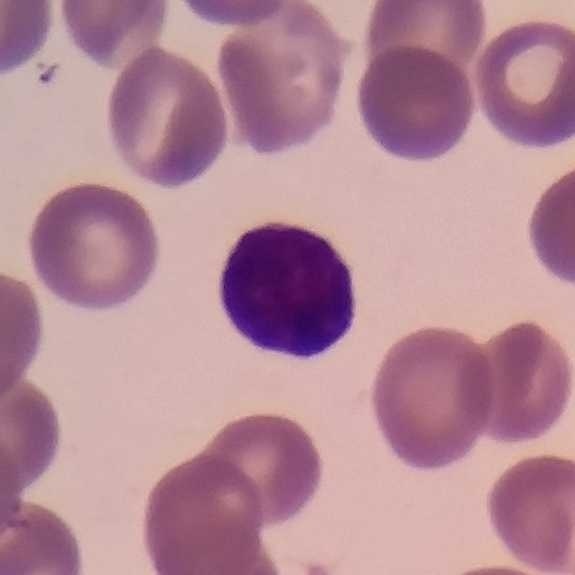

Specimen: peripheral blood smear.
Cell type: lymphocyte.